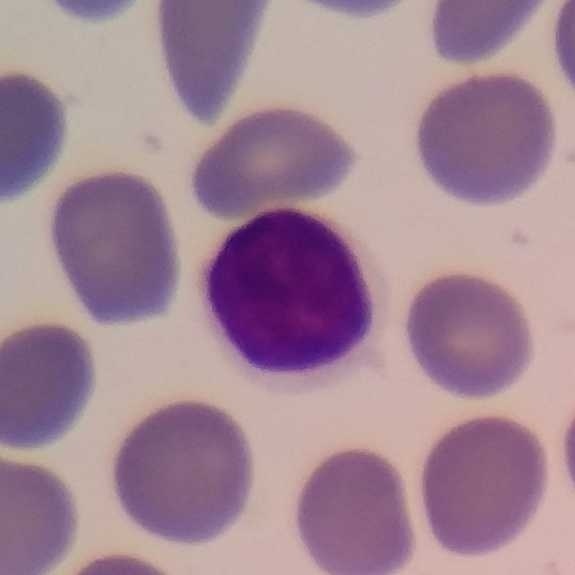 Impression → lymphocyte.